Peripheral blood film
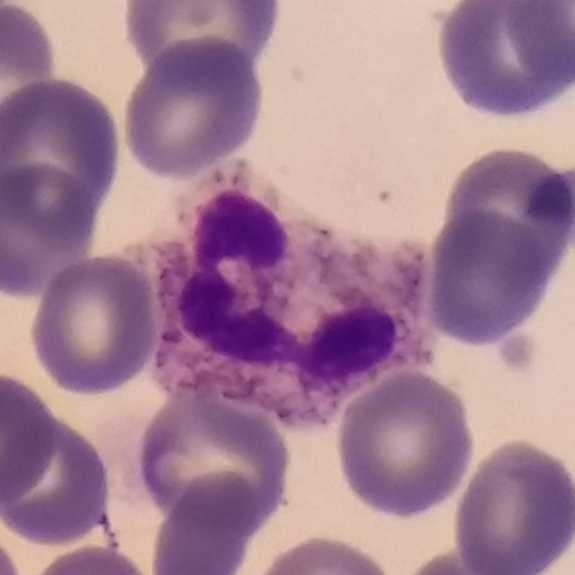

Morphological class — neutrophil.